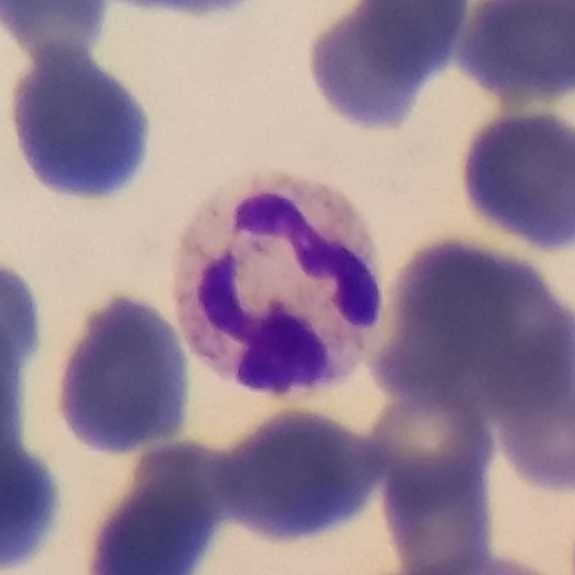

White blood cell type: neutrophil granulocyte. Context: Peripheral blood film.